Magnification 100×; phone-camera image taken through the microscope ocular; peripheral blood smear: 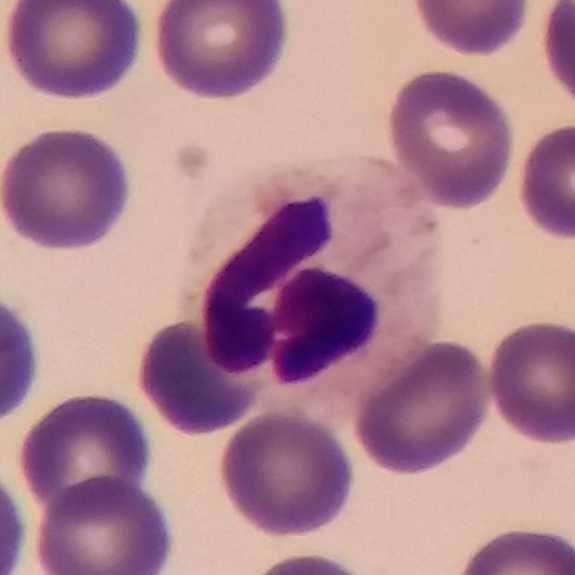Showing a neutrophilic granulocyte.